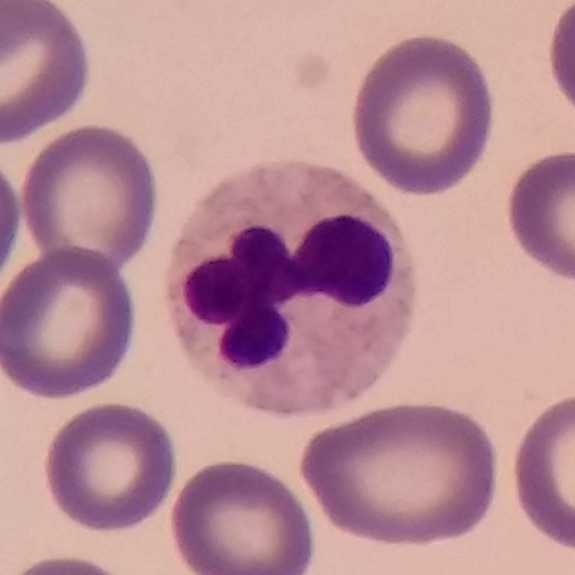
Specimen: peripheral blood smear.
Classification: neutrophil granulocyte.
Lineage: myeloid.